Peripheral blood smear; Giemsa stain; phone-camera image taken through the microscope ocular:
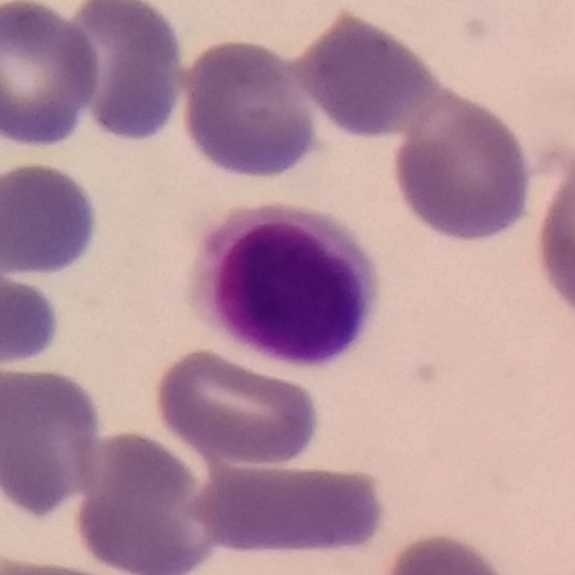 Single cell identified as a lymphocyte.